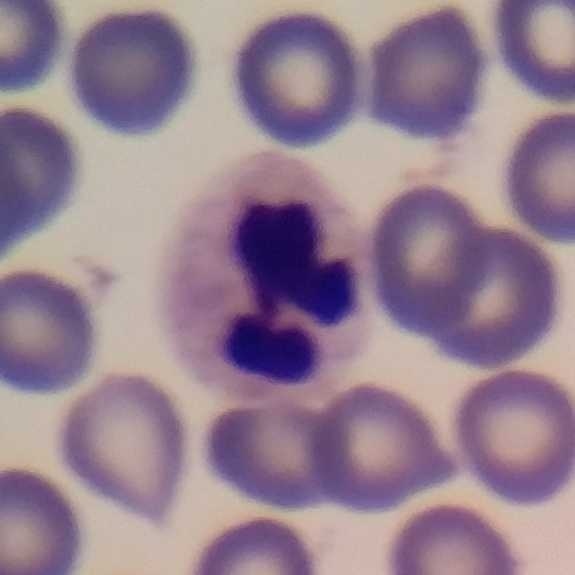Q: Identify the cell.
A: This is a neutrophil granulocyte.